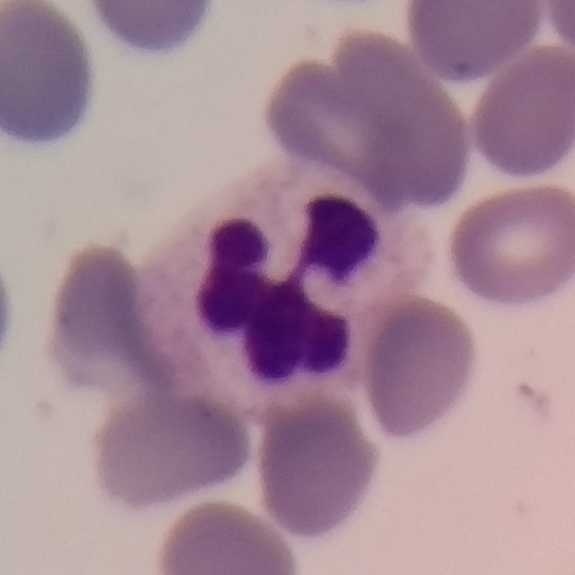
Identified as a neutrophil granulocyte.

Peripheral blood film. Image size 575×575. Cropped to one leukocyte.